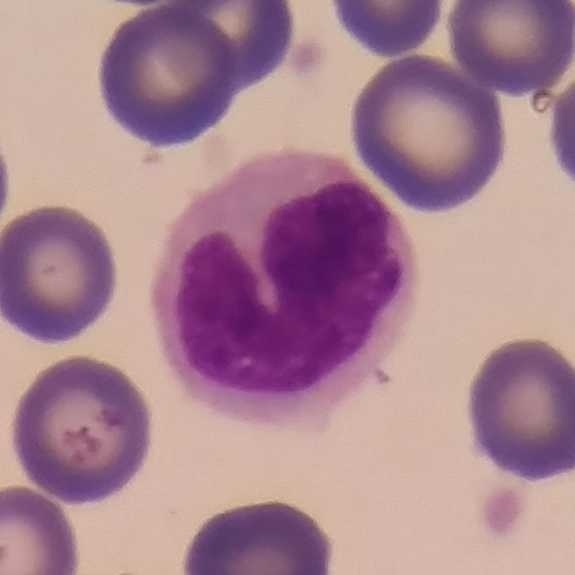Preparation: Image size 575×575 · peripheral blood smear.
The white blood cell type is monocyte.